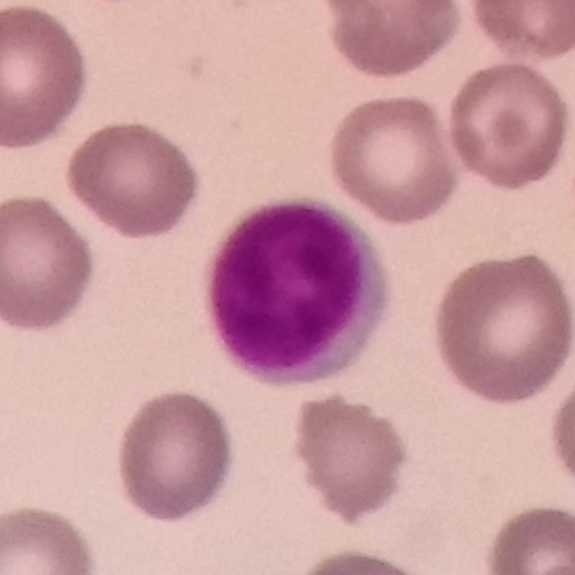 Acquisition: Peripheral blood smear.
The cell type is lymphocyte.